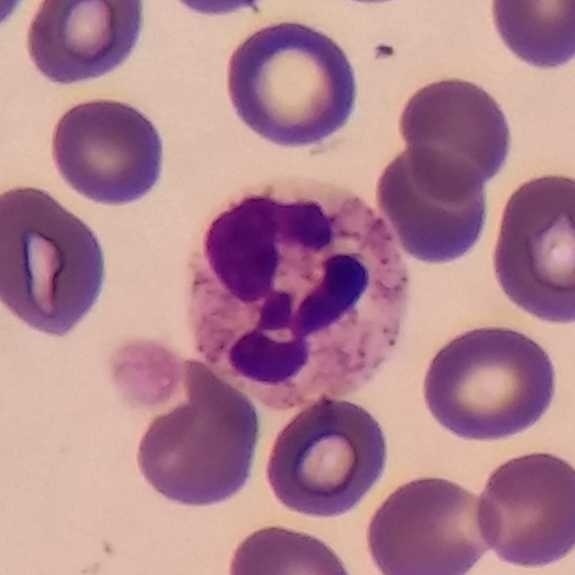
Image: Single-cell field. Peripheral blood smear.
Q: What cell is this?
A: This is a neutrophil.